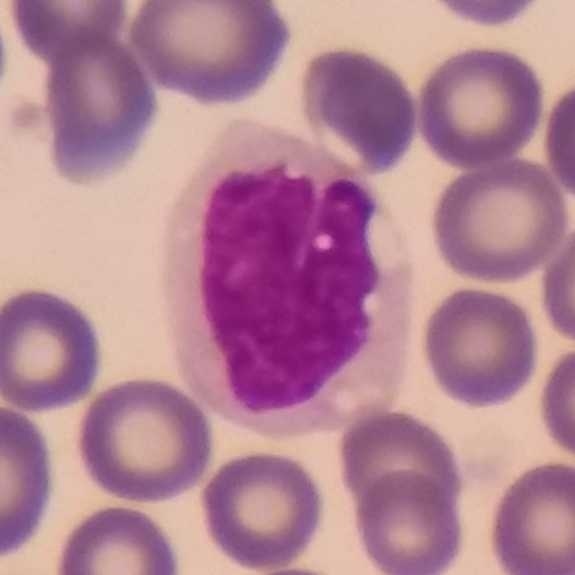Q: Which cell type is shown here?
A: A monocyte.